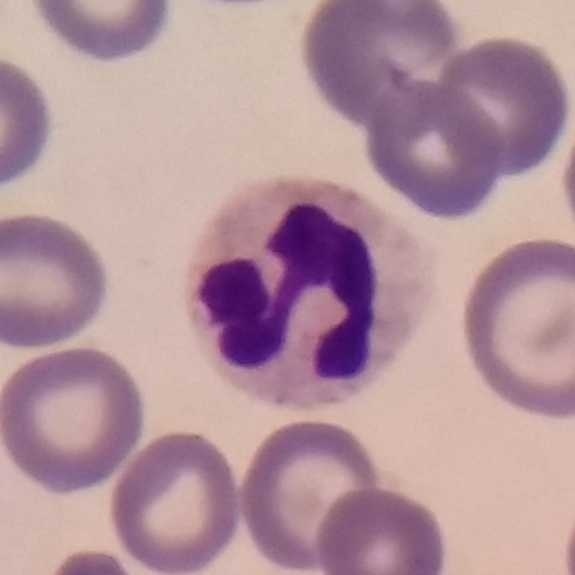

Smartphone photomicrograph · peripheral blood film.
Q: Which cell type is shown here?
A: Neutrophil.